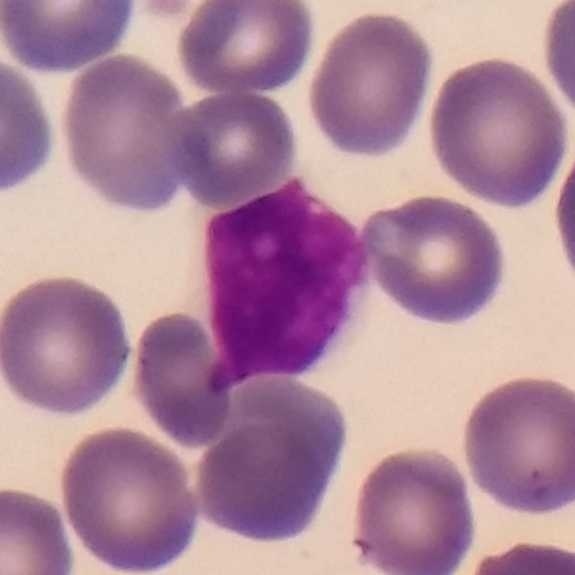
The cell shown is a lymphocyte.
Acquisition: Peripheral blood film.